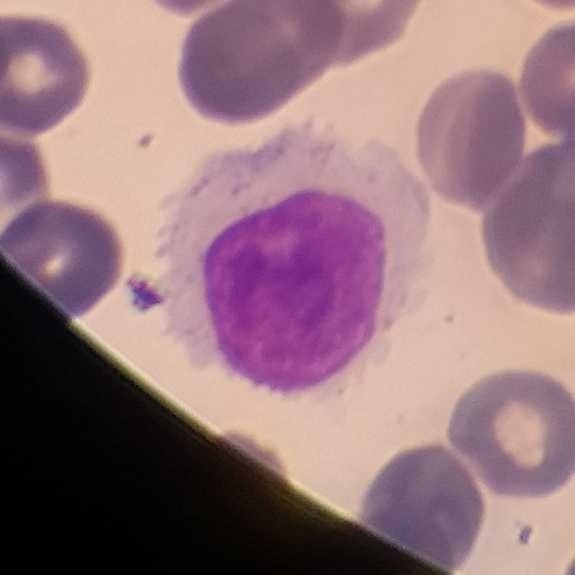 Specimen: peripheral blood smear.
White blood cell type: monocyte.